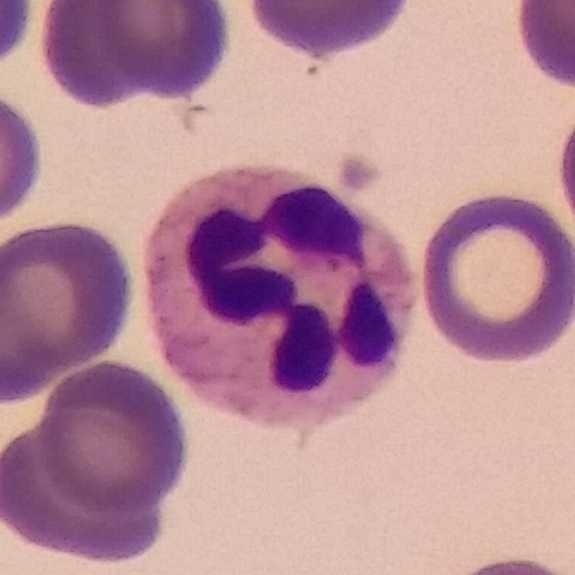 Preparation: Smartphone photomicrograph · peripheral blood smear · cropped to one leukocyte. This is a neutrophil granulocyte.